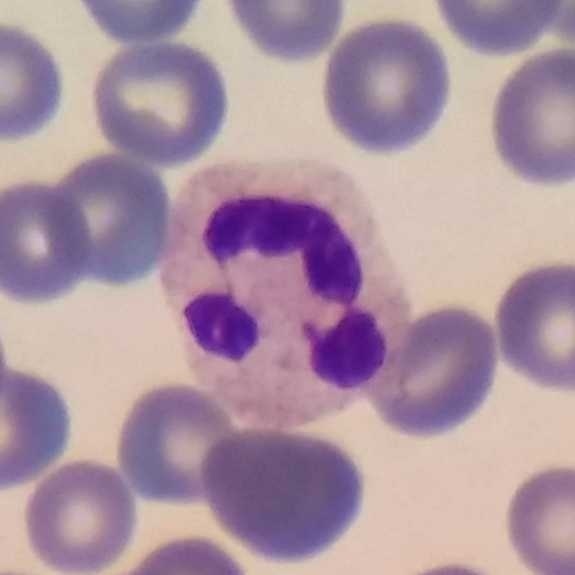

Classification — neutrophilic granulocyte. Peripheral blood film.